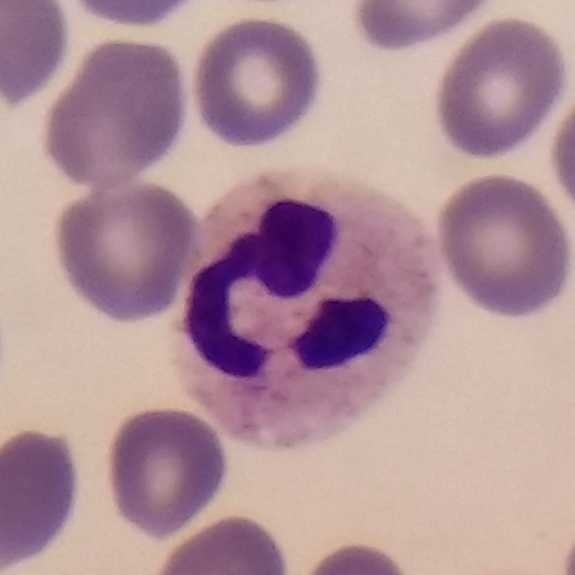The cell is neutrophilic granulocyte.